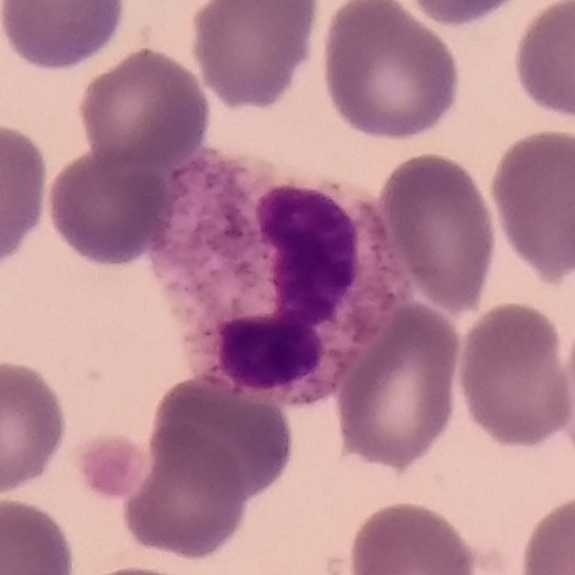
Peripheral blood film. Classification — neutrophilic granulocyte.